Peripheral blood smear
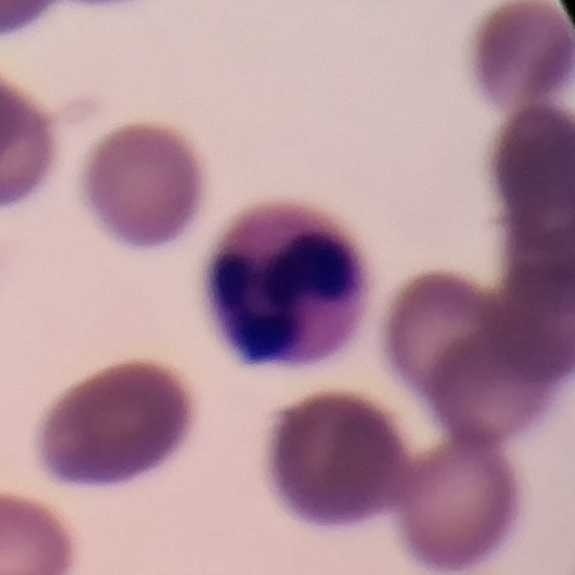

{"cell_type": "neutrophil", "lineage": "myeloid"}